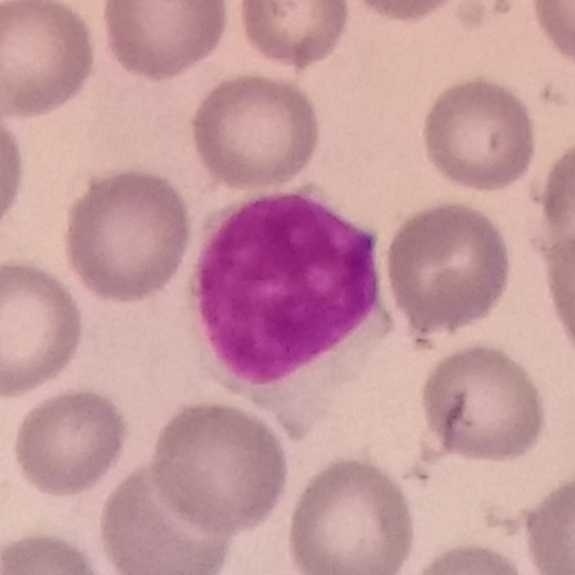 Single white blood cell cropped from the smear photograph · peripheral blood film.

Classification: lymphocyte.